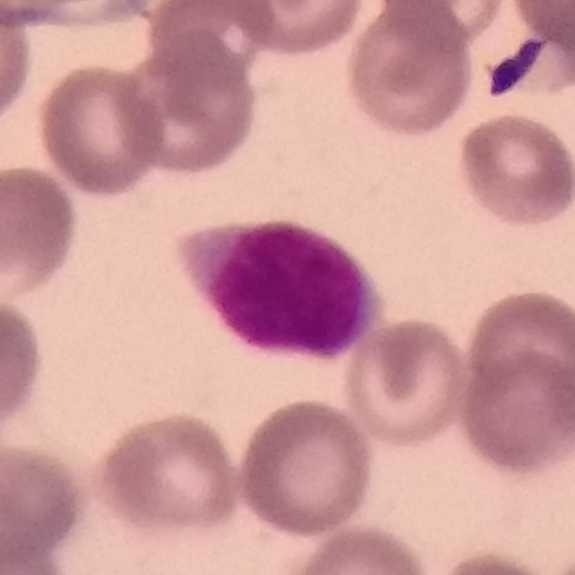

{"cell_type": "lymphocyte", "lineage": "lymphoid"}